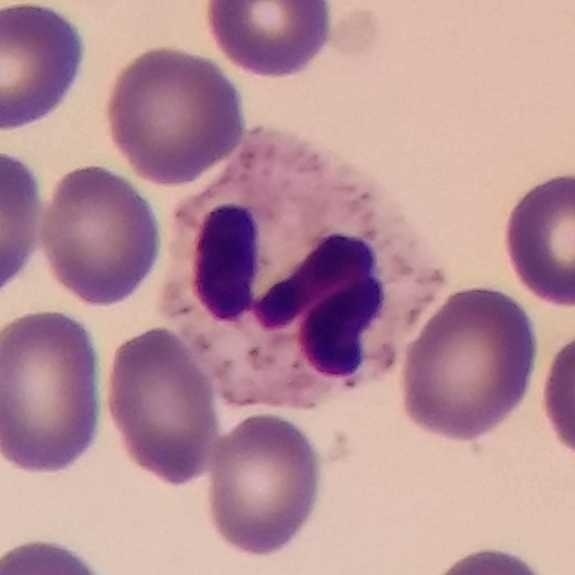

Specimen: peripheral blood film.
Morphological class: neutrophilic granulocyte.